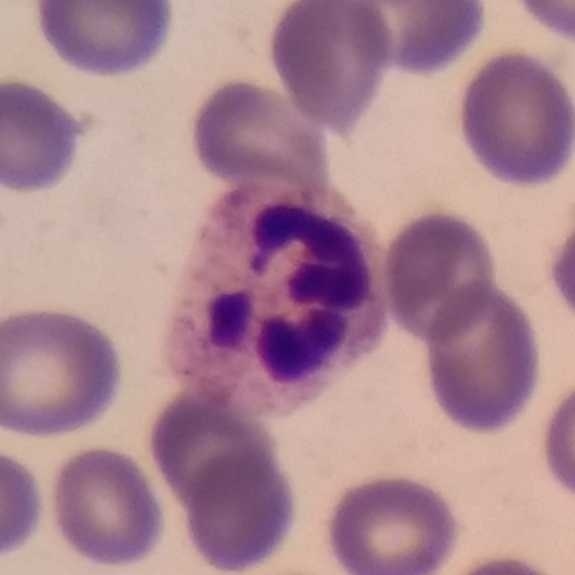 Neutrophil.
Preparation: Peripheral blood film.